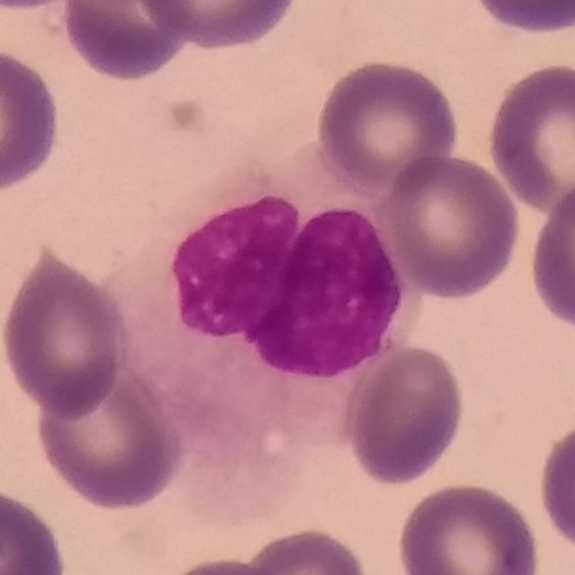Peripheral blood smear. Identified as a monocyte.